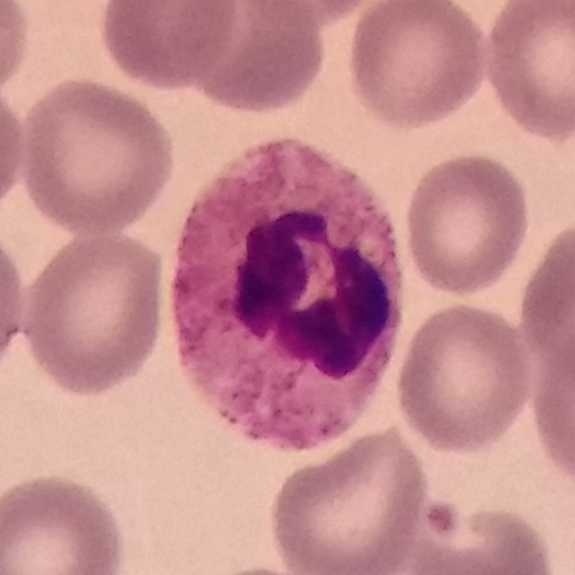
{"cell_type": "neutrophil granulocyte"} Acquisition: Magnification 100×; single-cell crop; peripheral blood smear.